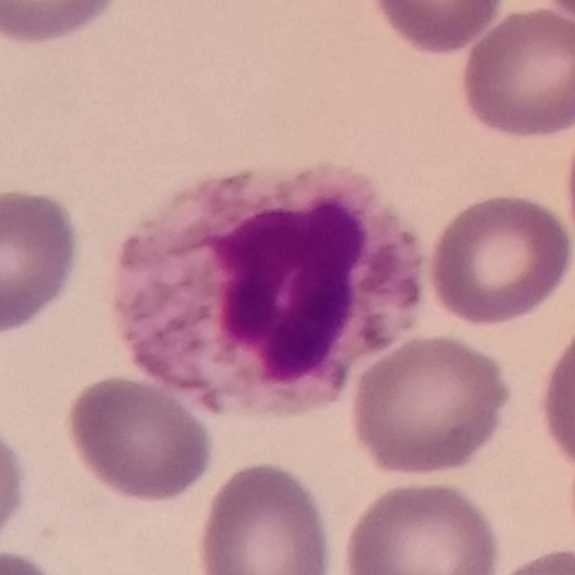

Showing a neutrophil granulocyte.
Acquisition: Peripheral blood smear. Imaged at 100×. Image size 575×575.